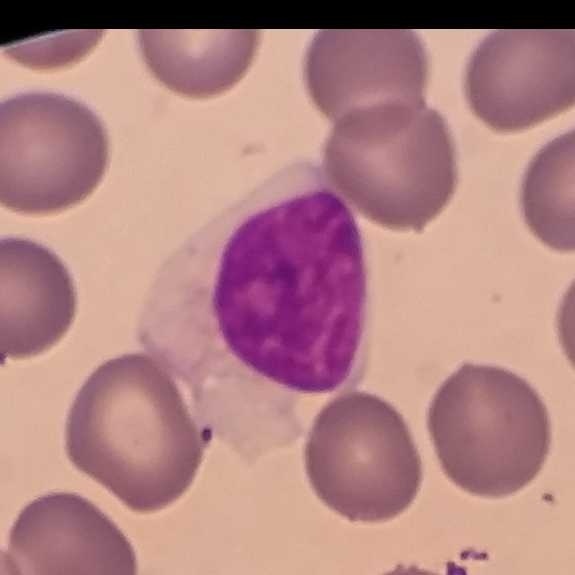

From a peripheral blood smear: a lymphocyte.